Peripheral blood film
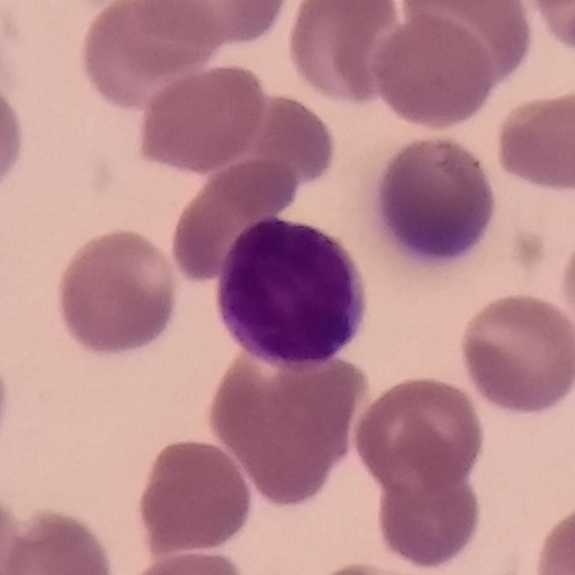
White blood cell type: lymphocyte.